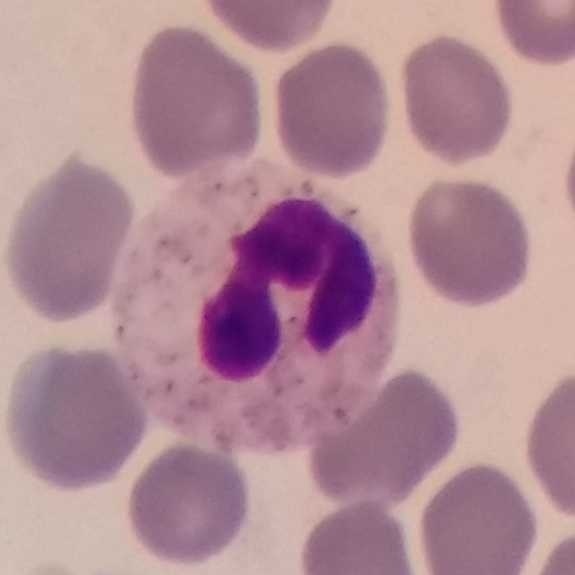

This is a neutrophilic granulocyte.
Context: Smartphone camera mounted on the microscope eyepiece. Peripheral blood smear.